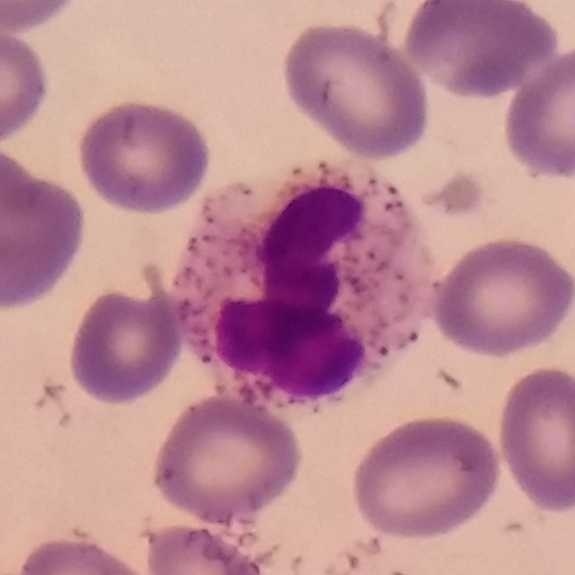
Image: Peripheral blood smear.
Cell type: neutrophilic granulocyte.